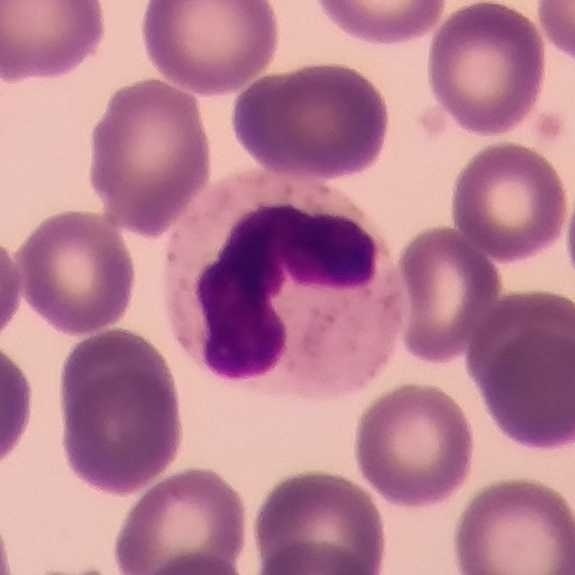
Specimen: peripheral blood smear.
Cell type: neutrophil granulocyte.
Lineage: myeloid.